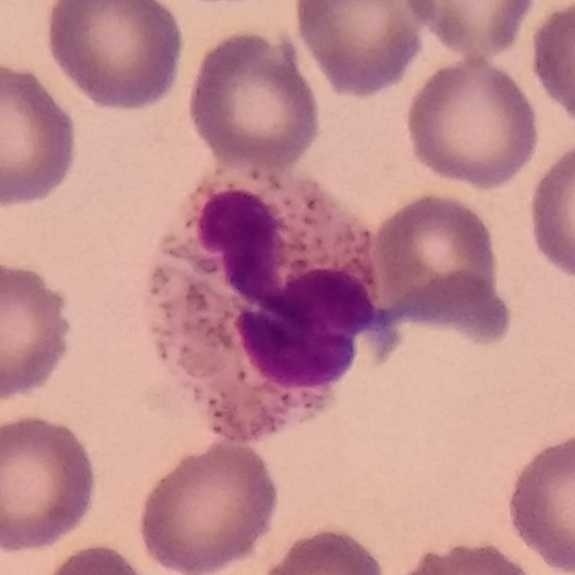 Morphology consistent with a neutrophil. Peripheral blood film · image size 575×575.